Cropped to one leukocyte · peripheral blood film
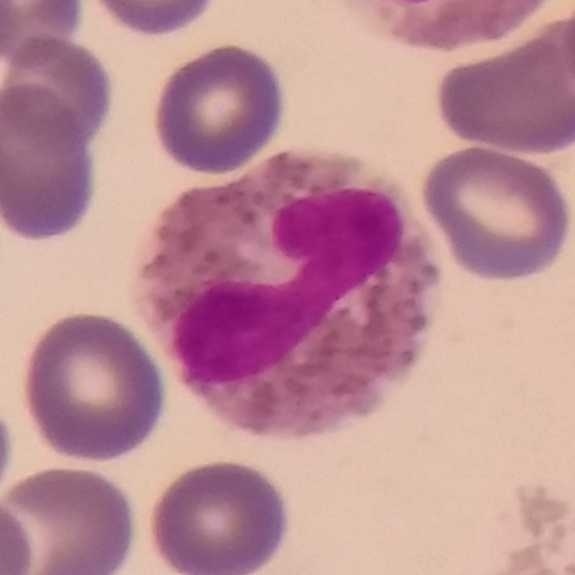Eosinophilic granulocyte.